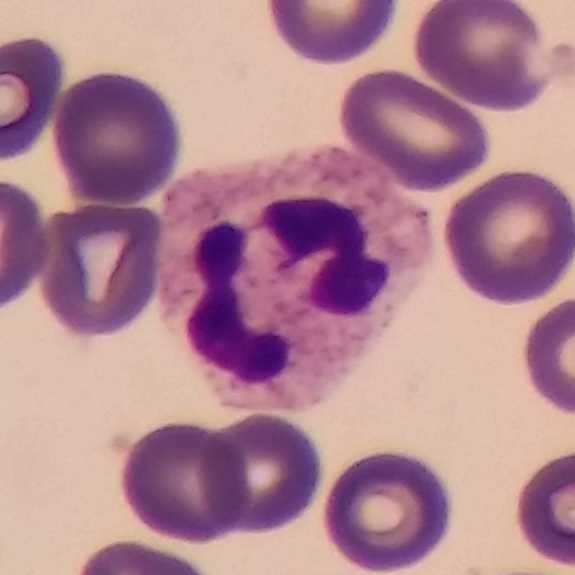 Classification = neutrophilic granulocyte.